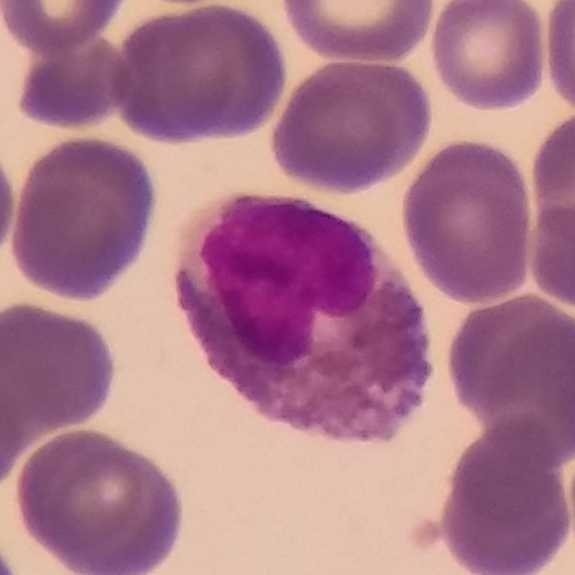

{"cell_type": "eosinophilic granulocyte", "lineage": "myeloid"} Image: Photographed through a light microscope with a smartphone camera. Giemsa stain. Peripheral blood film.